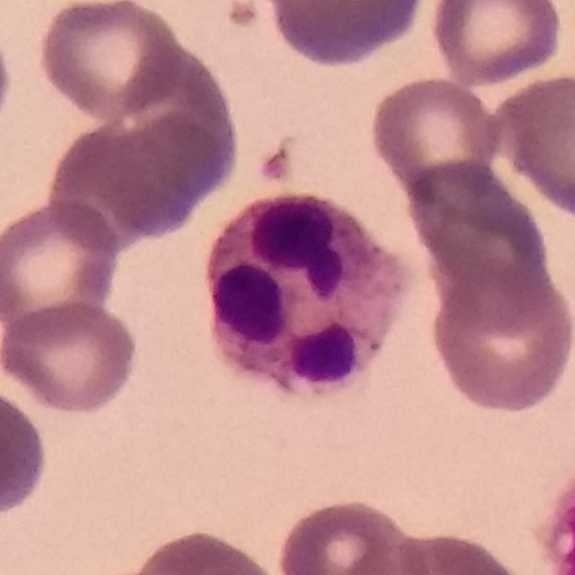 Cell type — neutrophilic granulocyte.